Giemsa stain · photographed through a light microscope with a smartphone camera · peripheral blood film
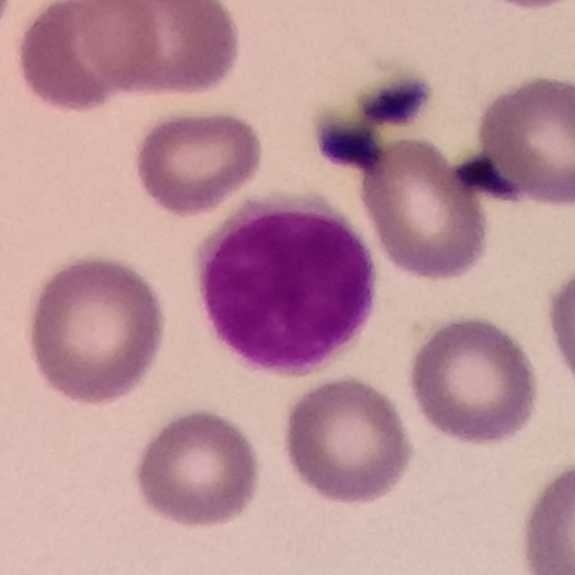

A lymphocyte.